Peripheral blood film — 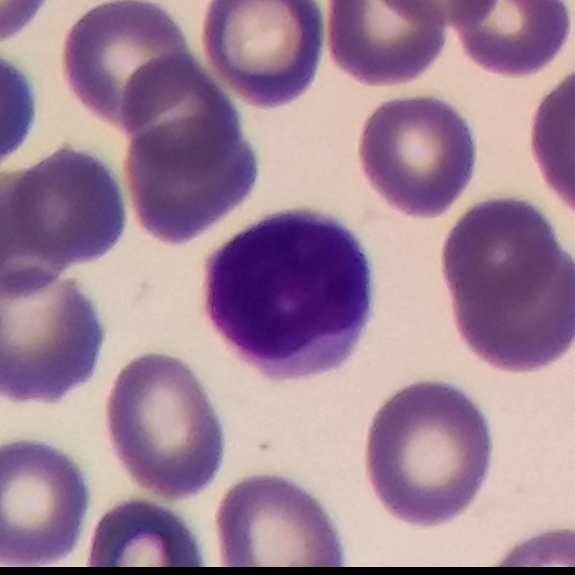
Q: Classify this leukocyte.
A: It is a lymphocyte.